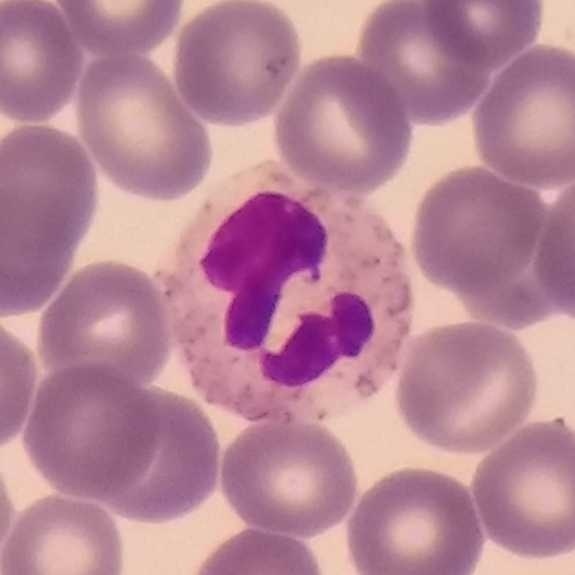
Specimen: peripheral blood film.
Morphological class: neutrophilic granulocyte.
Lineage: myeloid.